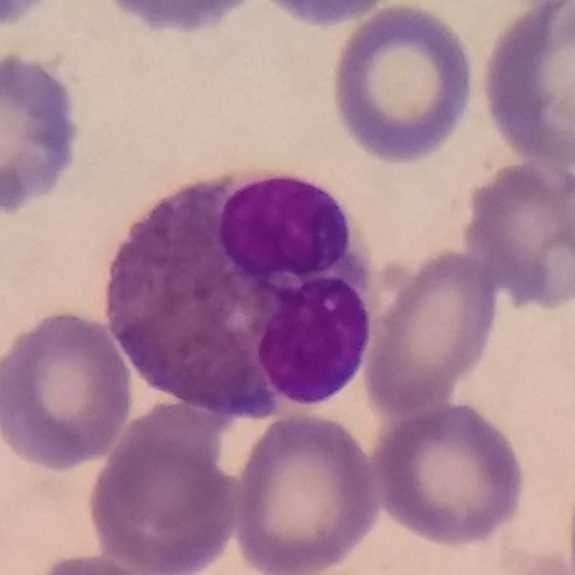Image: Peripheral blood smear.
Impression → eosinophilic granulocyte.